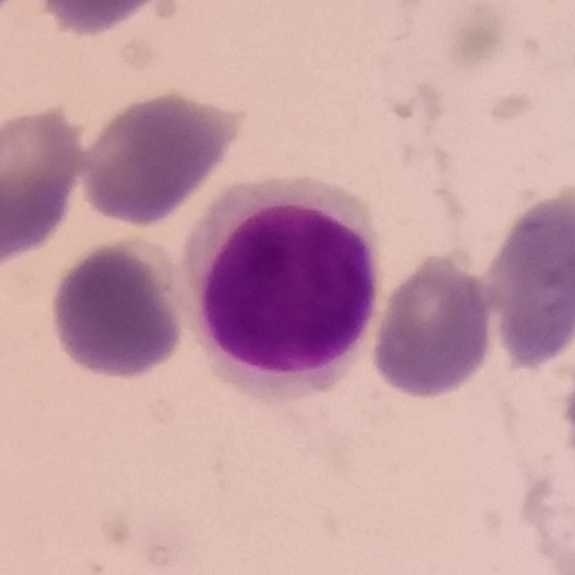 This is a lymphocyte. Image: Imaged at 100×. Peripheral blood film. Smartphone camera mounted on the microscope eyepiece.